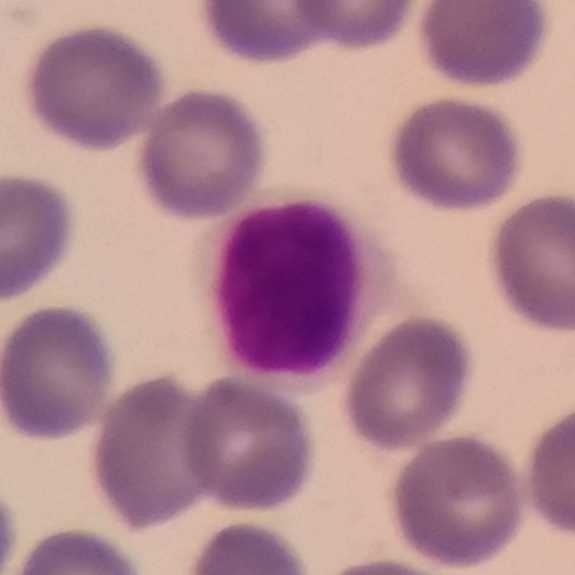

Specimen: peripheral blood film.
Cell: lymphocyte.